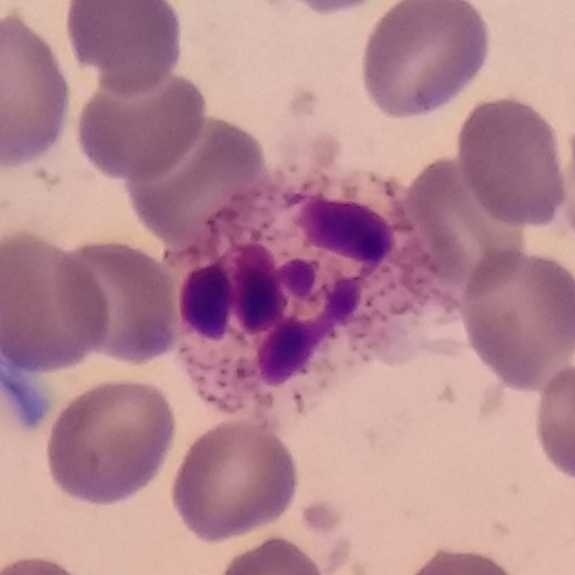

Classification: neutrophil granulocyte. Image: Single white blood cell cropped from the smear photograph; peripheral blood smear.